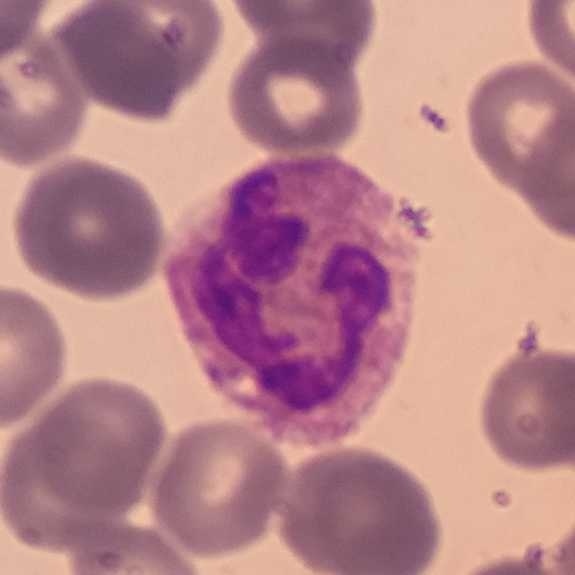 Specimen: peripheral blood smear.
Classification: neutrophilic granulocyte.